Peripheral blood film.
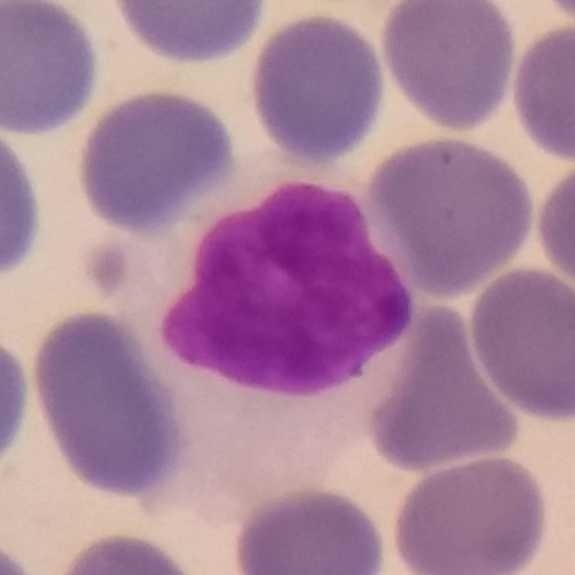

The white blood cell in this image is a monocyte.